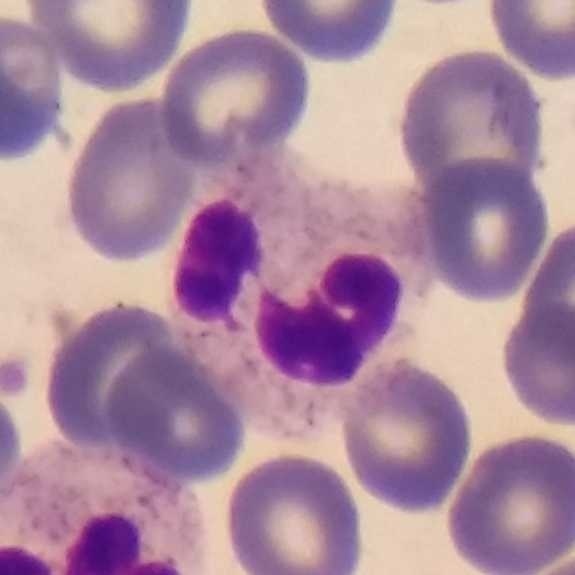

Single-cell field. Peripheral blood smear.
Single cell identified as a neutrophilic granulocyte.